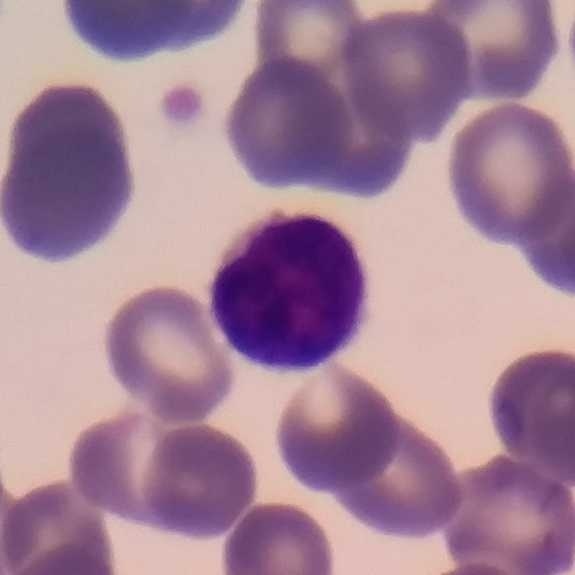
Lymphocyte.